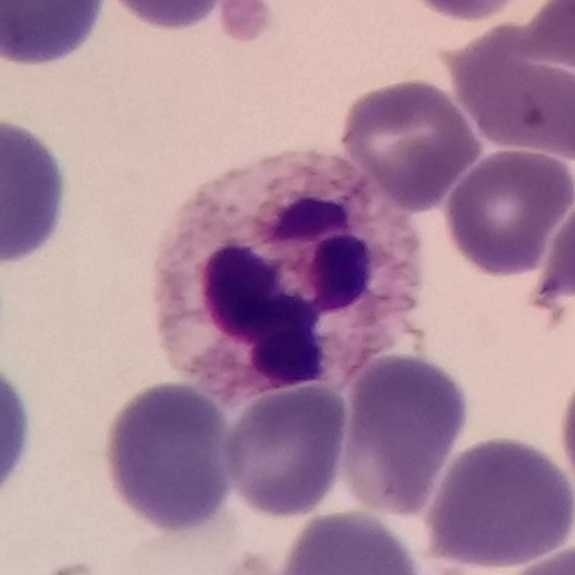

Specimen: peripheral blood film.
White blood cell type: neutrophilic granulocyte.
Lineage: myeloid.